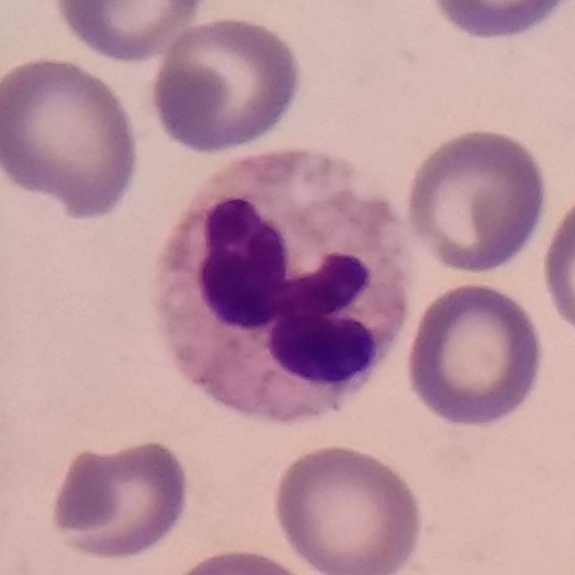 Impression → neutrophil granulocyte.